Peripheral blood film
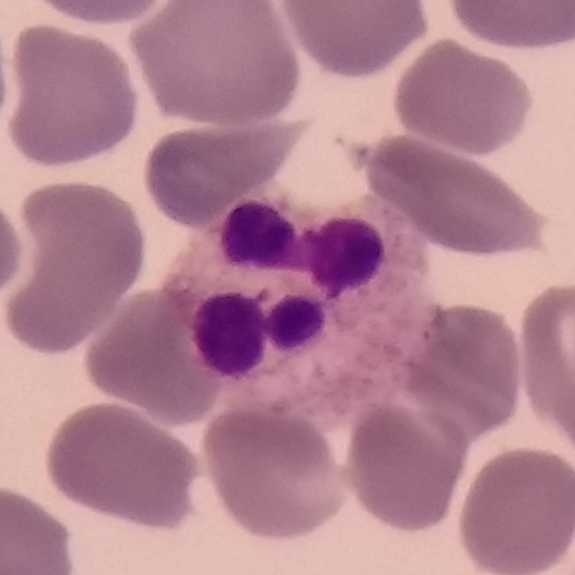
White blood cell type: neutrophilic granulocyte.